Peripheral blood film
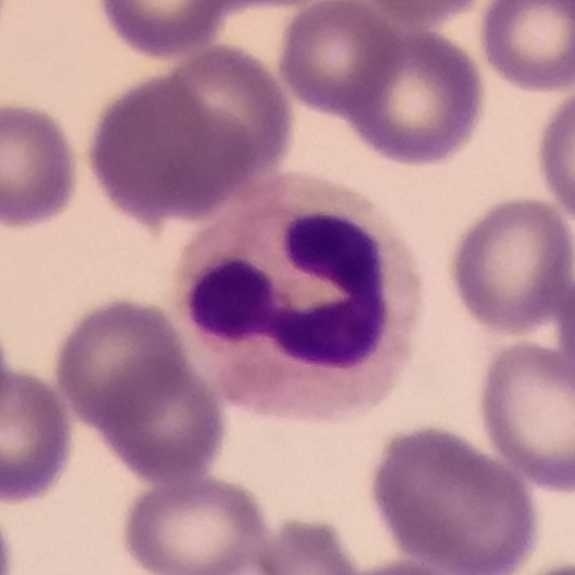 This is a neutrophilic granulocyte.